Single-cell field; peripheral blood film; photographed through a light microscope with a smartphone camera — 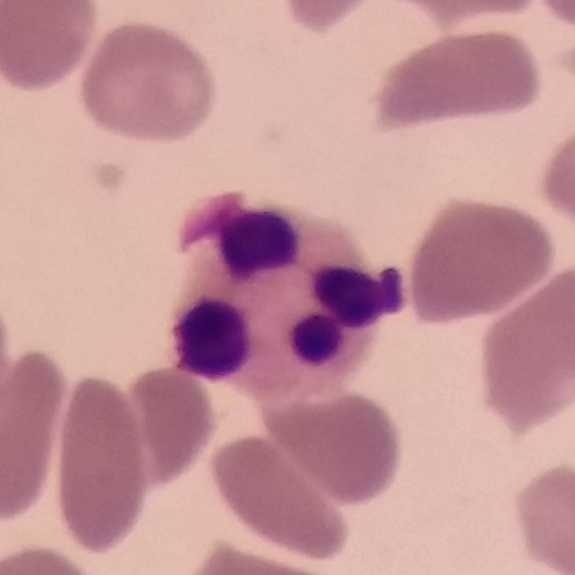The cell shown is a neutrophil.